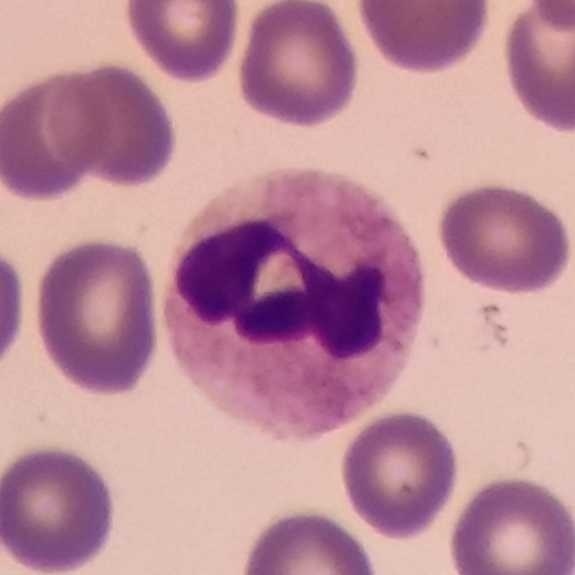Acquisition: 575×575 px. Peripheral blood smear. Showing a neutrophil granulocyte.